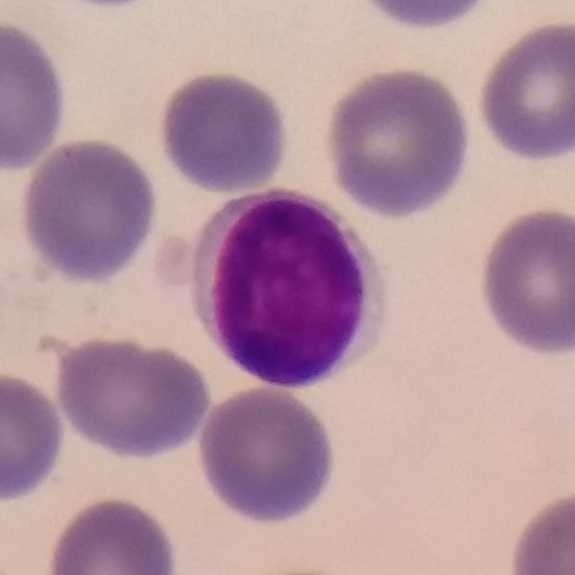The cell type is lymphocyte.
Acquisition: Imaged at 100×. Peripheral blood smear.